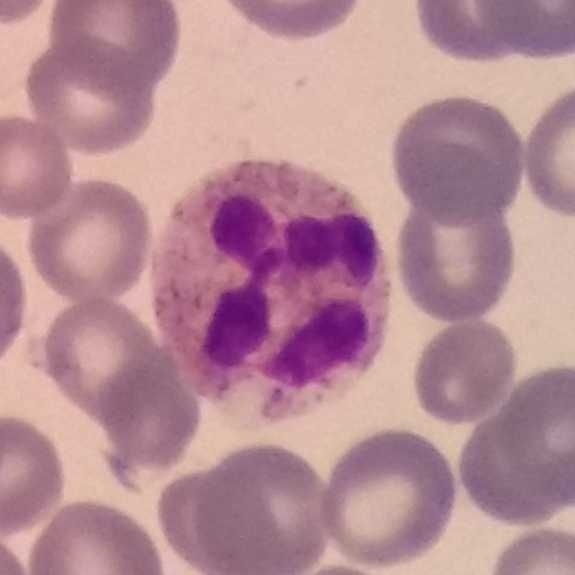
Peripheral blood smear. The classification is neutrophil.